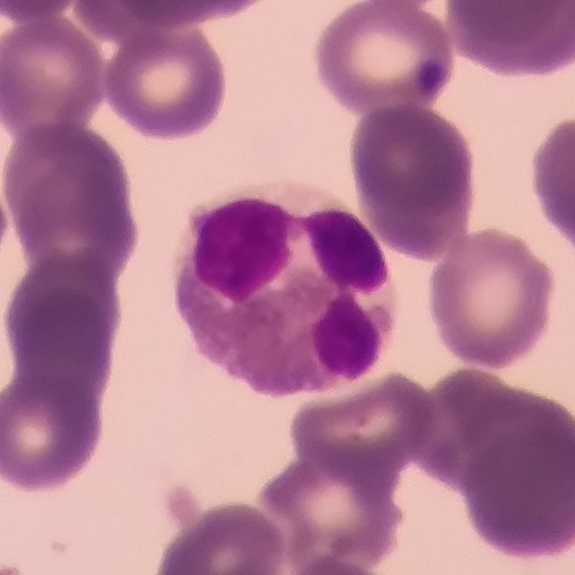Acquisition: Magnification 100×. Phone-camera image taken through the microscope ocular. Peripheral blood smear.

Impression → eosinophilic granulocyte.